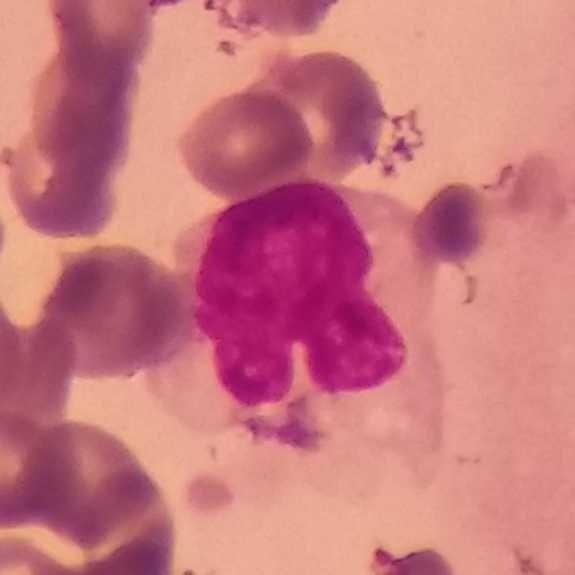
Specimen: peripheral blood smear.
Cell: monocyte.